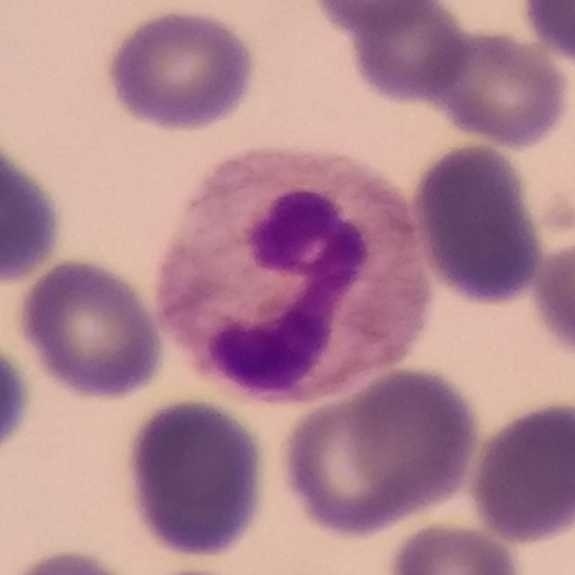
Image: Peripheral blood smear.

{"cell_type": "neutrophilic granulocyte"}